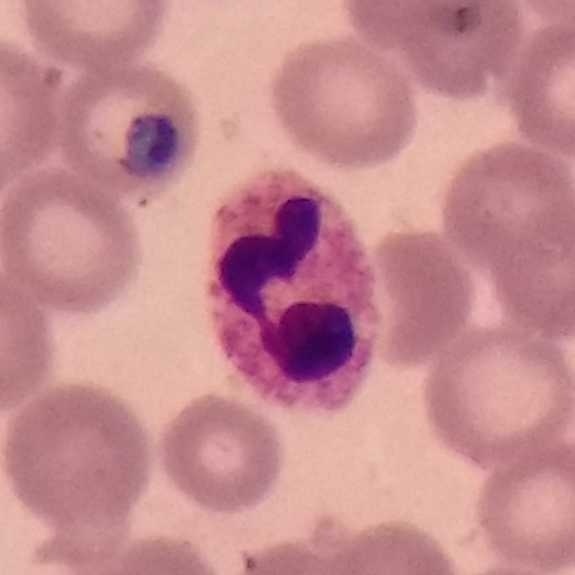 Image: Single white blood cell cropped from the smear photograph. 100× magnification. Peripheral blood smear.
Classification — neutrophilic granulocyte.